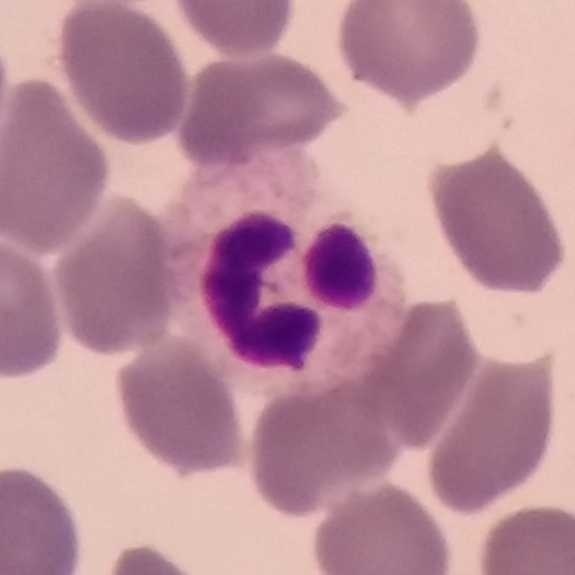

Preparation: Peripheral blood smear.
White blood cell type: neutrophilic granulocyte.